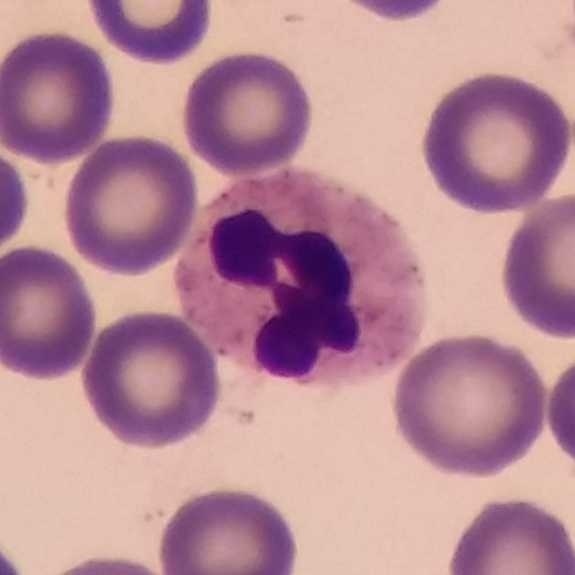Morphology → neutrophil.

Image: Peripheral blood film; Giemsa stain; single white blood cell cropped from the smear photograph.